Magnification 100×; peripheral blood film: 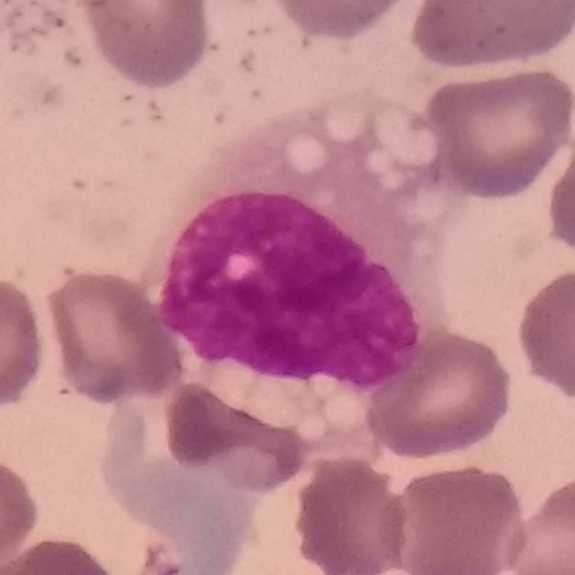 Classification: monocyte.